Peripheral blood smear.
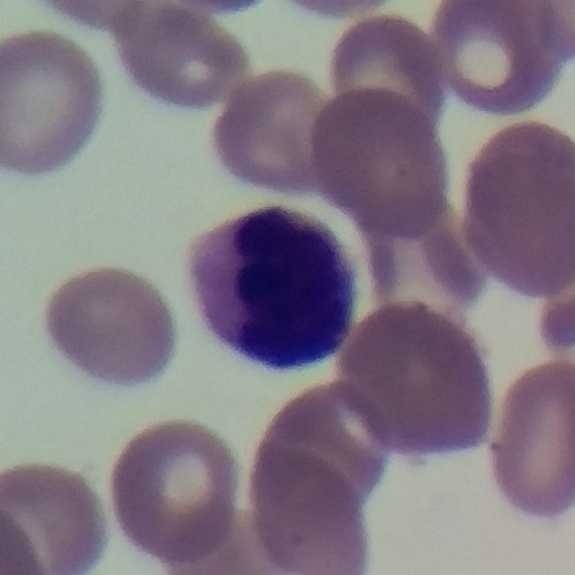
White blood cell type: lymphocyte.